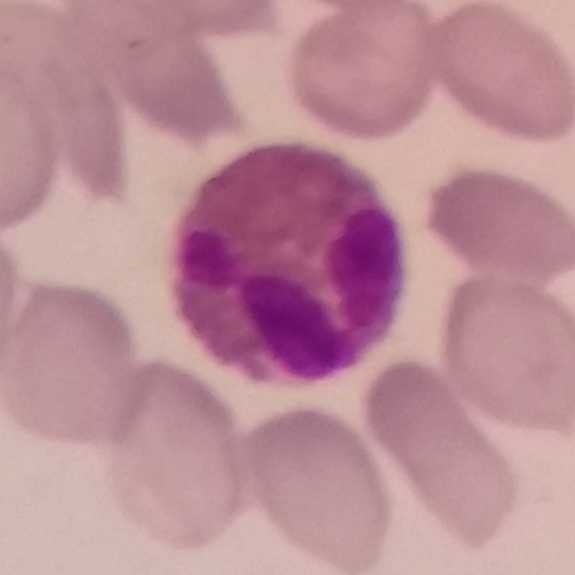 White blood cell type — eosinophil.